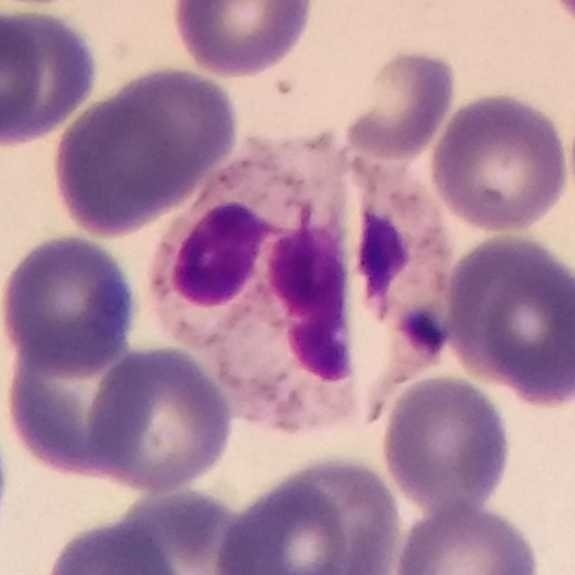Morphology → neutrophil.